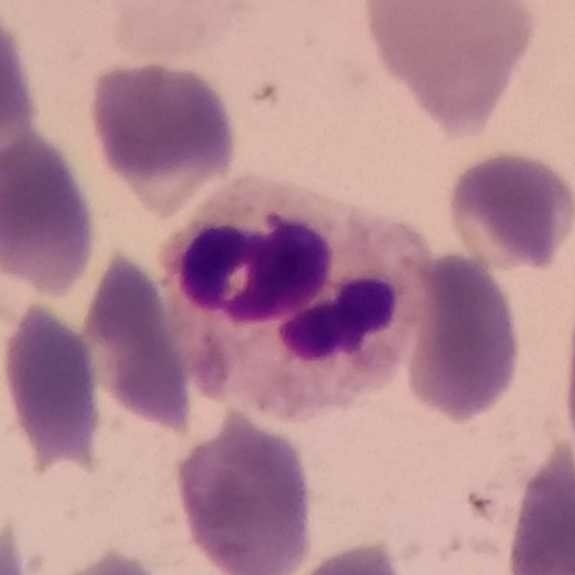

The white blood cell in this image is a neutrophil.
Acquisition: Peripheral blood smear.